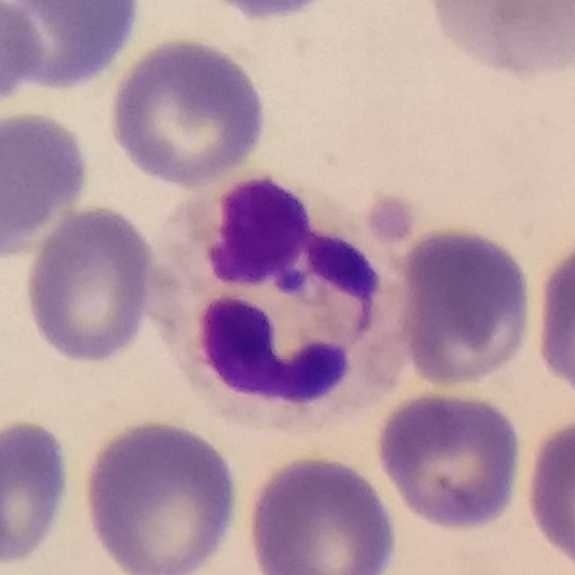 Cell type: neutrophil granulocyte.